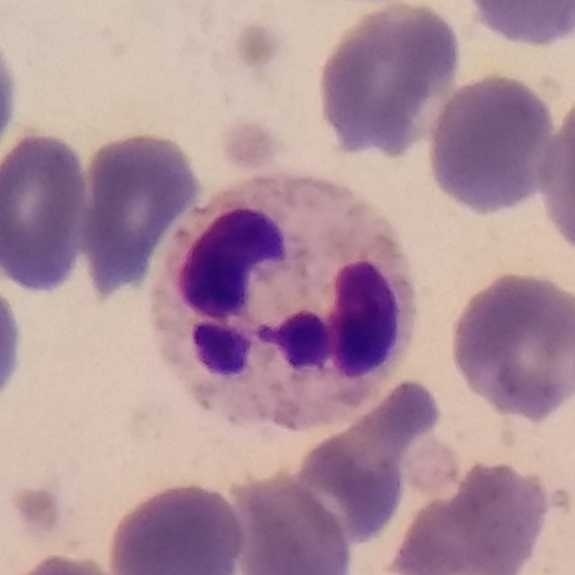
This is a neutrophilic granulocyte.